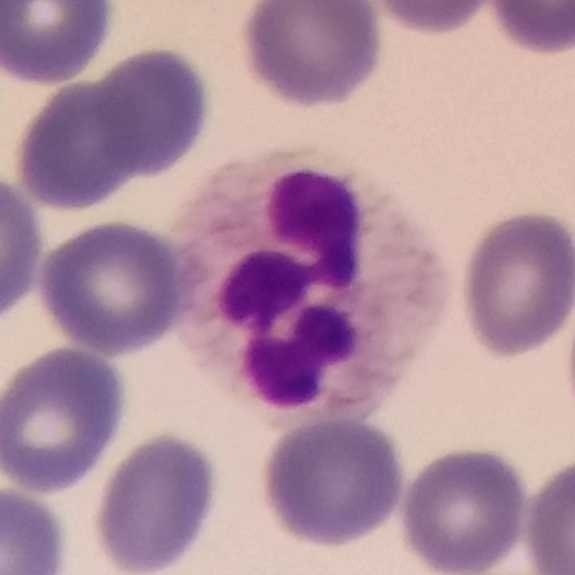 Morphology — neutrophil. Image: Peripheral blood smear.